Single-cell crop; peripheral blood smear.
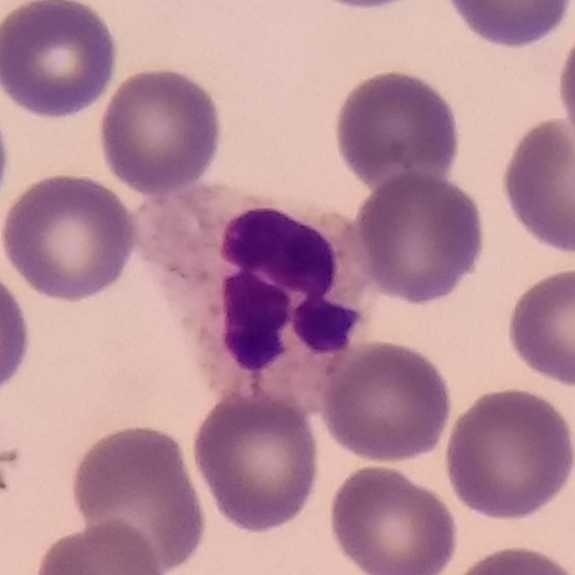The white blood cell in this image is a neutrophil.